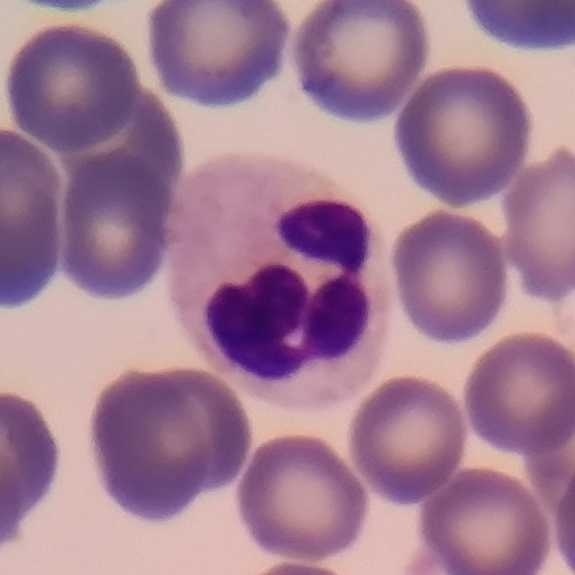 Cell — neutrophilic granulocyte. Imaged at 100×. Stained with Giemsa. Peripheral blood film.